Peripheral blood smear: 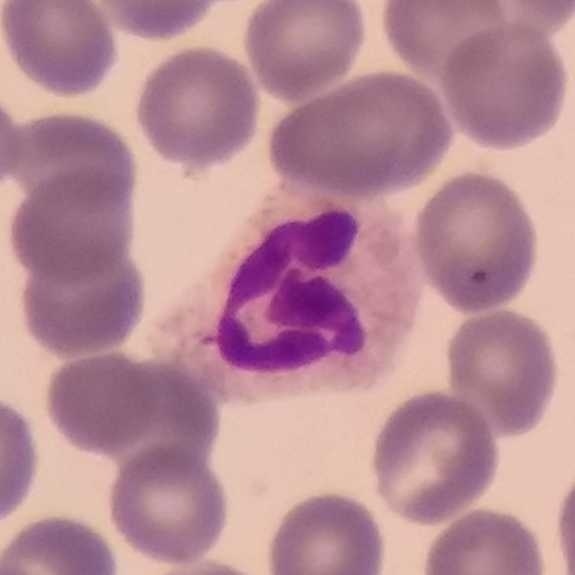

Specimen: peripheral blood film.
Classification: neutrophil.
Lineage: myeloid.